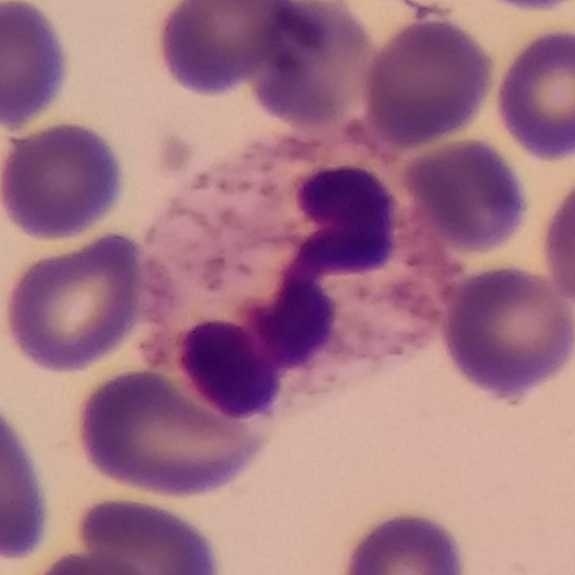 White blood cell from a peripheral blood smear: neutrophil granulocyte.